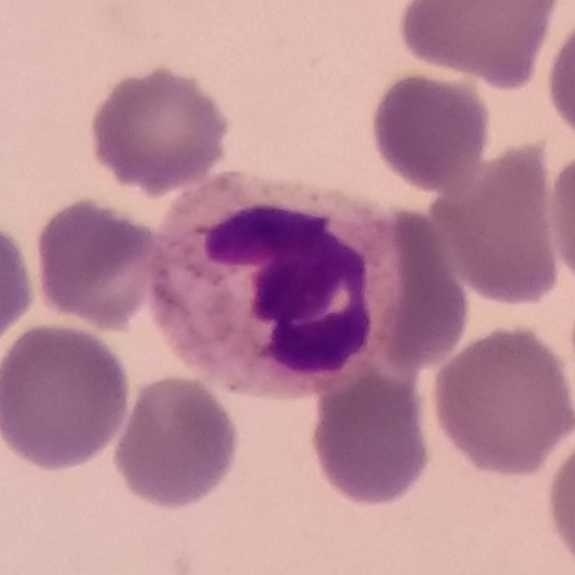

Identified as a neutrophilic granulocyte.

Image: Peripheral blood film.